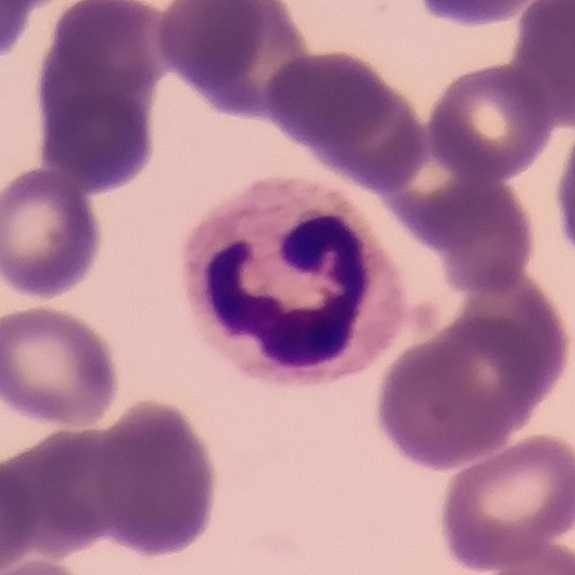

The white blood cell in this image is a neutrophil.